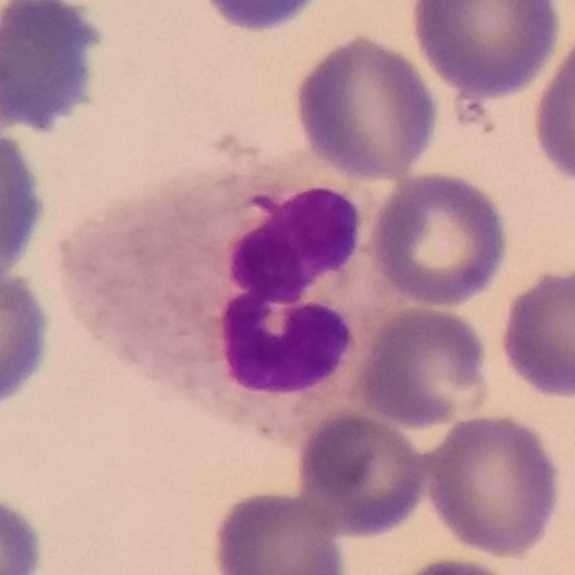 Impression — neutrophil granulocyte.

Preparation: Giemsa stain; 575×575 px; peripheral blood film.